Peripheral blood smear.
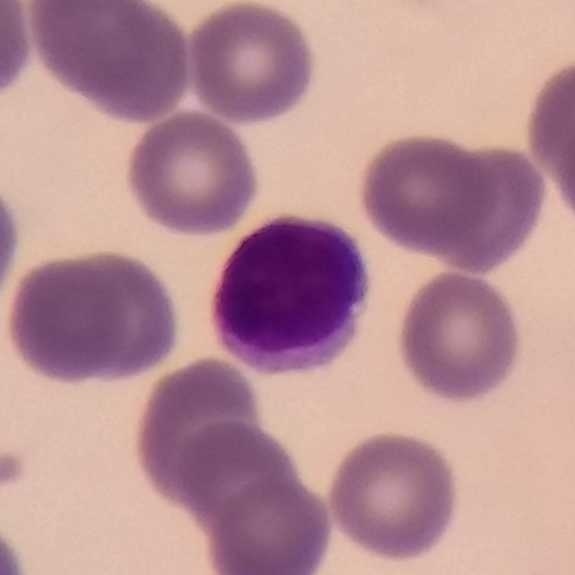
The cell is lymphocyte.